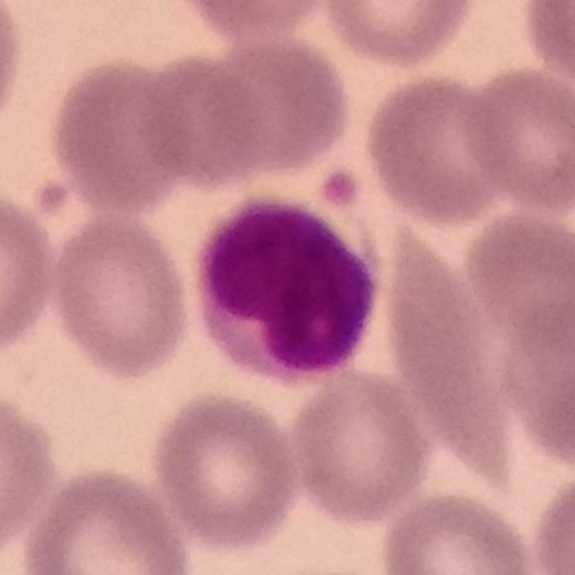 Single-cell crop from a peripheral blood smear: lymphocyte.